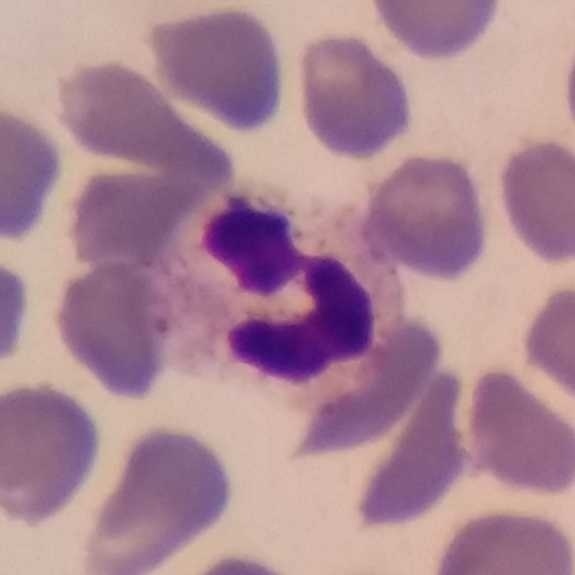
Image: Peripheral blood smear.
Classification — neutrophilic granulocyte.